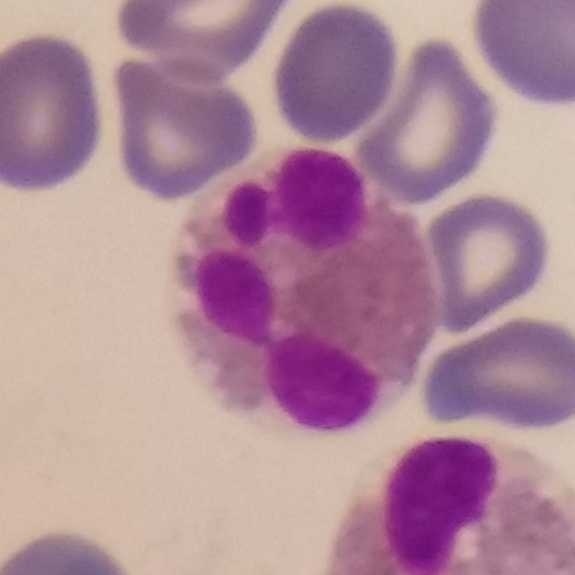 The cell type is eosinophil.